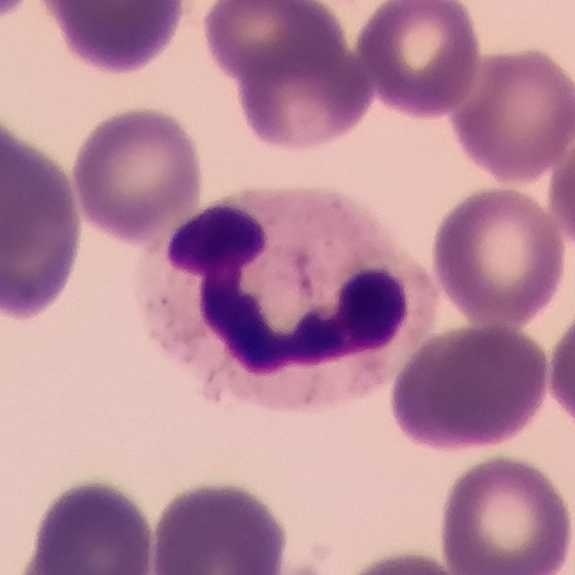
The white blood cell type is neutrophil granulocyte.